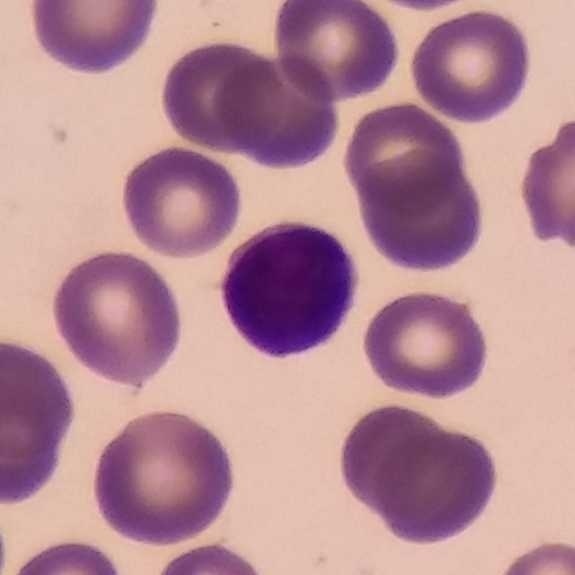 Specimen: peripheral blood smear.
Cell: lymphocyte.
Lineage: lymphoid.